Peripheral blood smear: 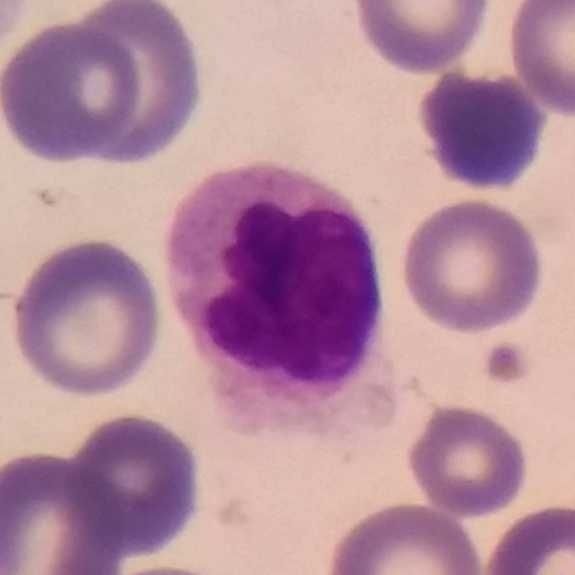
Specimen: peripheral blood film.
Classification: monocyte.
Lineage: myeloid.